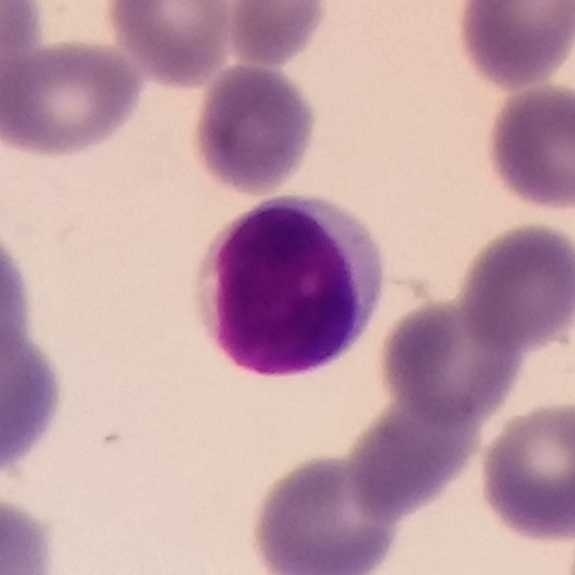
A lymphocyte.

Peripheral blood smear.